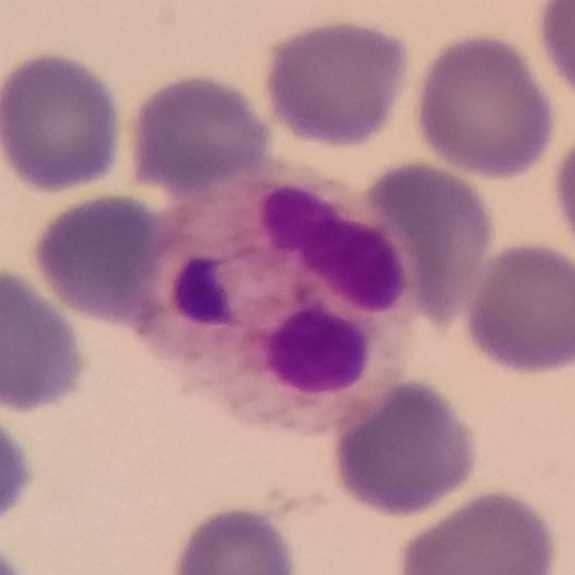 Preparation: 575×575 px; peripheral blood film. Q: What is shown here?
A: Neutrophil granulocyte.